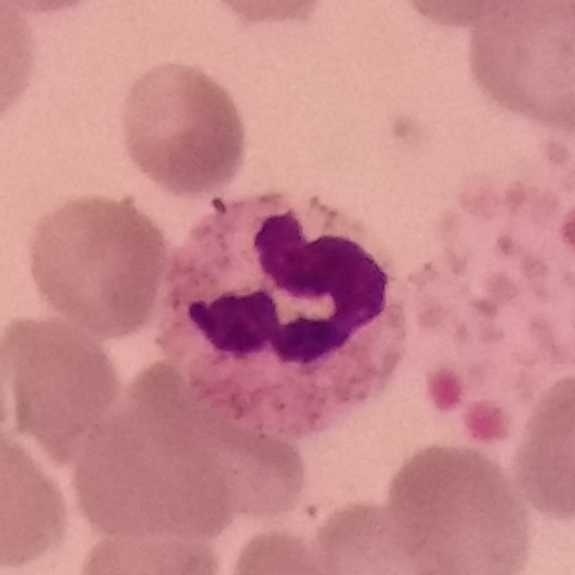
Classification: neutrophil.
Acquisition: Imaged at 100× · peripheral blood film.